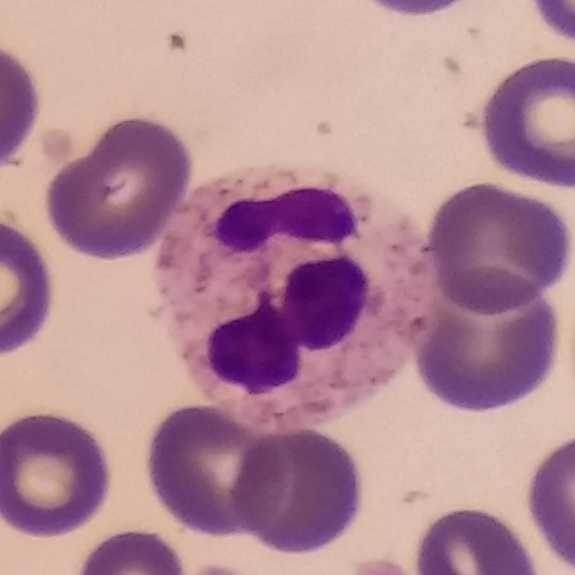{"cell_type": "neutrophil granulocyte"} Preparation: Smartphone photomicrograph. Peripheral blood film.